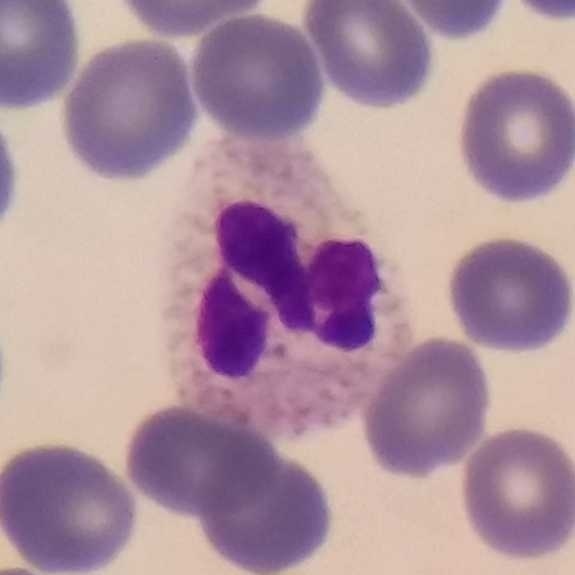 Context: Phone-camera image taken through the microscope ocular. Peripheral blood film. Magnification 100×.

Impression → neutrophil granulocyte.